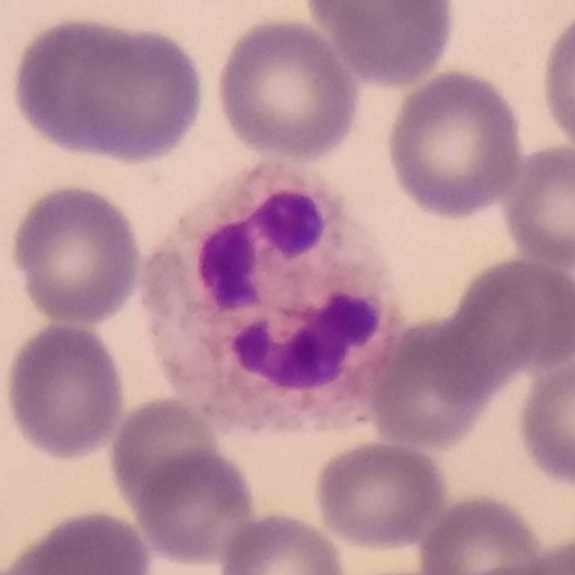
The cell is neutrophil granulocyte. Peripheral blood smear.